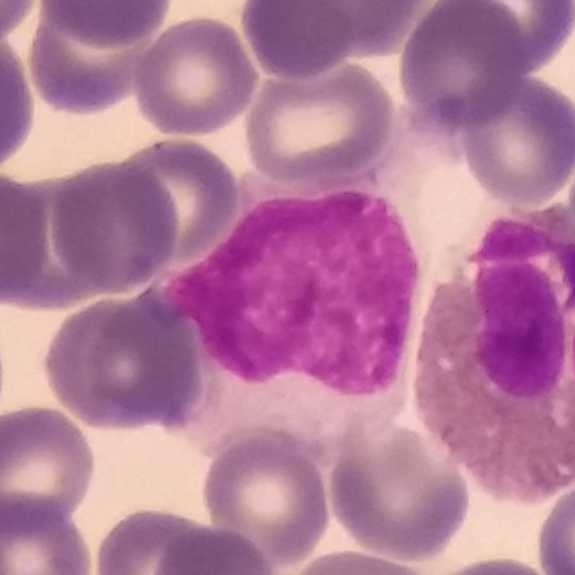 A monocyte.

Image: Single-cell crop. Peripheral blood film.